Magnification 100×; peripheral blood film; 575×575 px: 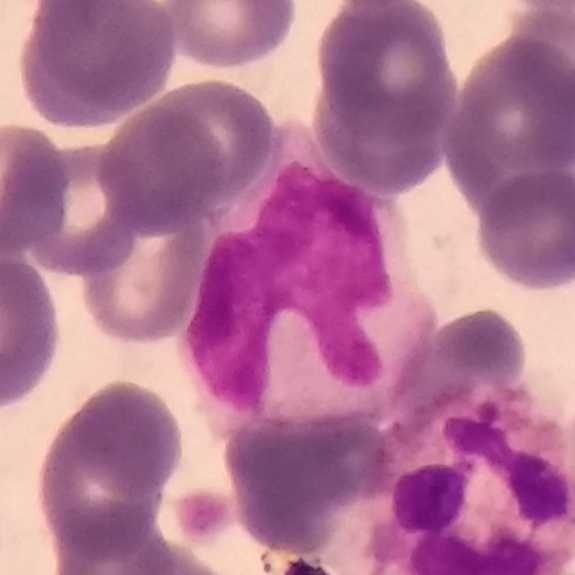
This is a monocyte.